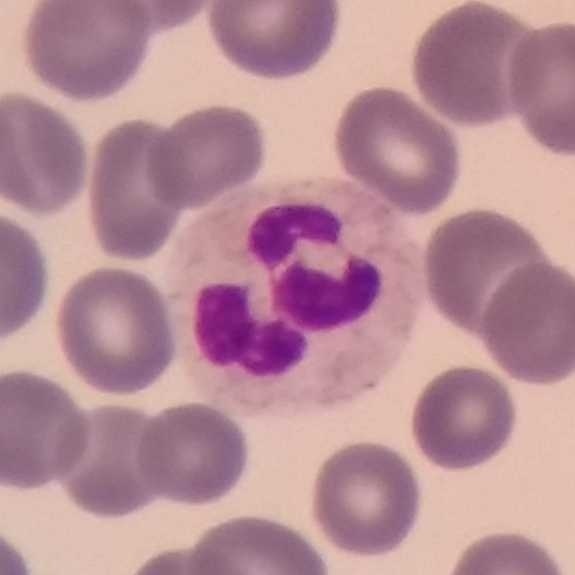
Q: What is shown here?
A: Neutrophil. Preparation: Peripheral blood film.